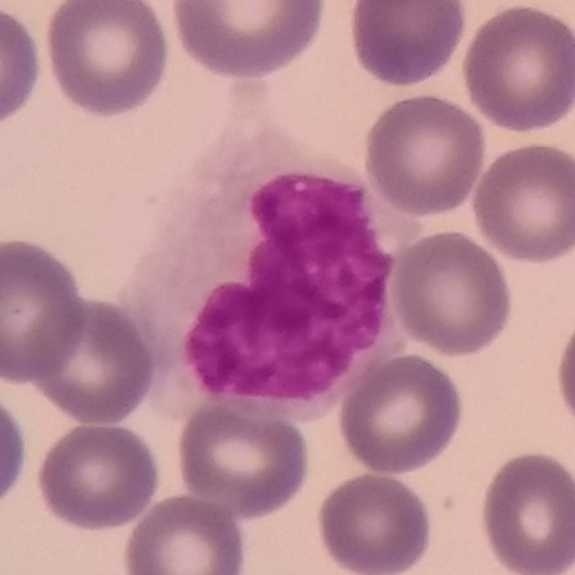

Peripheral blood film · smartphone camera mounted on the microscope eyepiece · image size 575×575.

The cell shown is a monocyte.